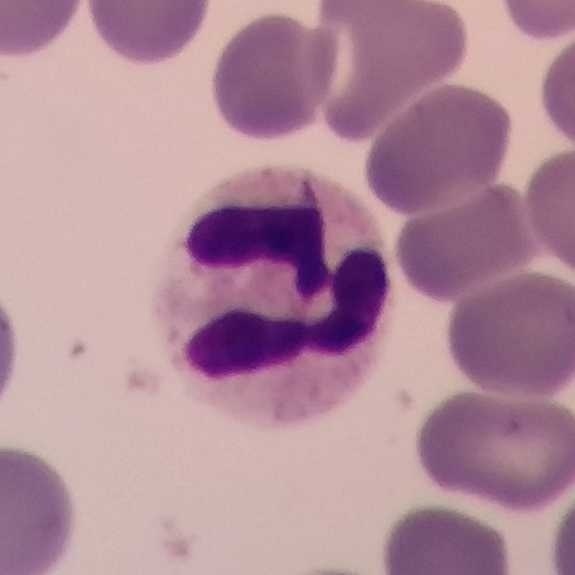 {"cell_type": "neutrophil", "lineage": "myeloid"} Image: Peripheral blood film.